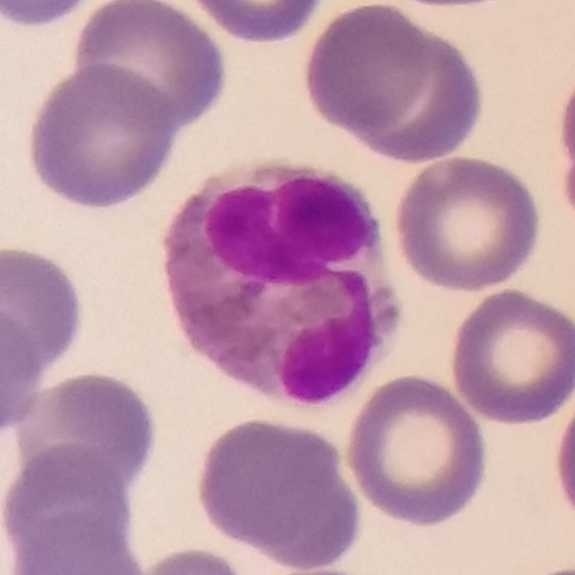
Context: Peripheral blood film · imaged at 100×.

Cell type = eosinophilic granulocyte.